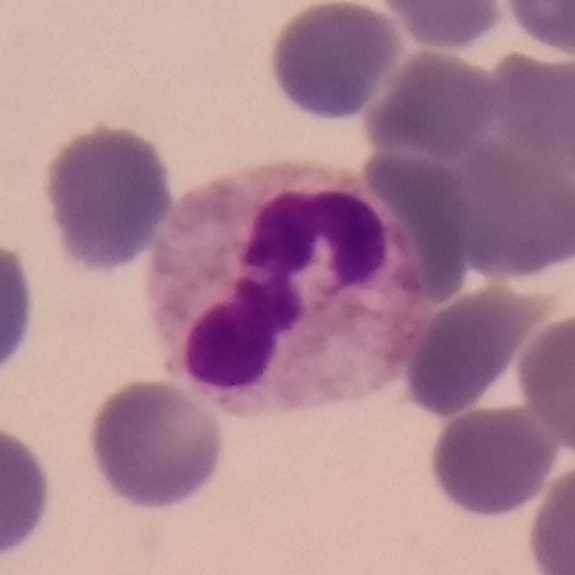
Q: What type of cell is this?
A: A neutrophil. Preparation: Giemsa stain. Peripheral blood film. Single-cell field.